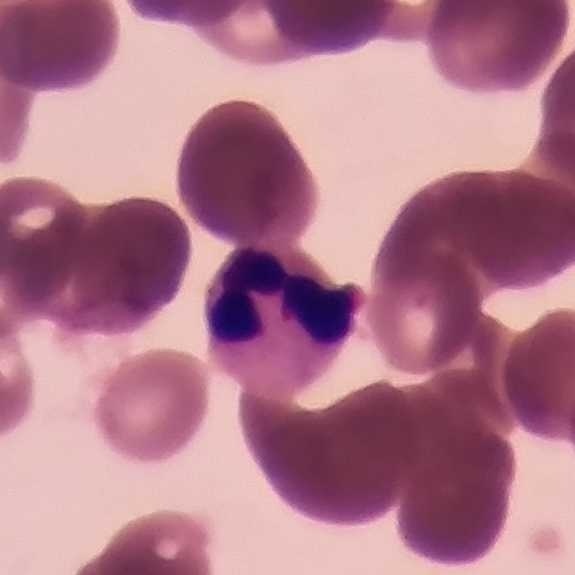 Q: Which type of white blood cell is this?
A: Neutrophil.
Context: Magnification 100× · peripheral blood smear.